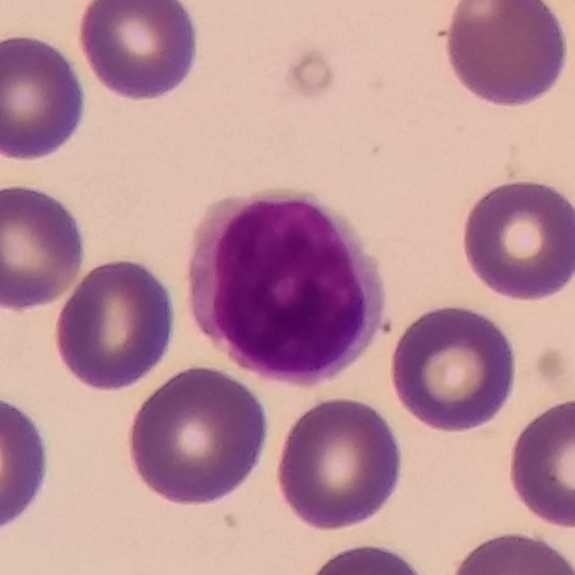

The cell shown is a lymphocyte.

Peripheral blood smear; image size 575×575.